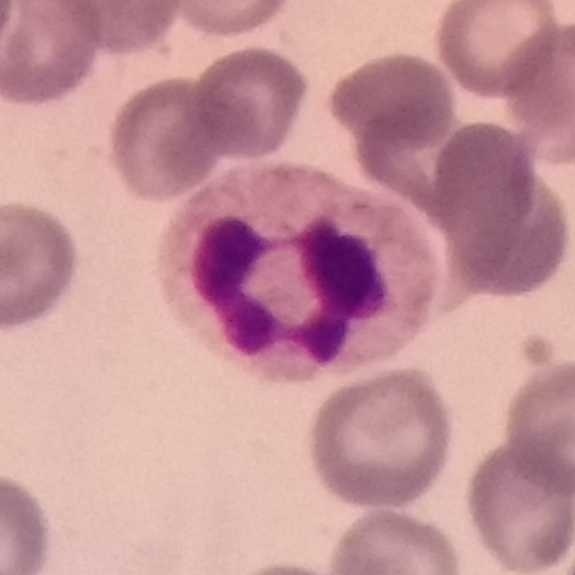
Peripheral blood smear; 100× magnification.

This is a neutrophilic granulocyte.